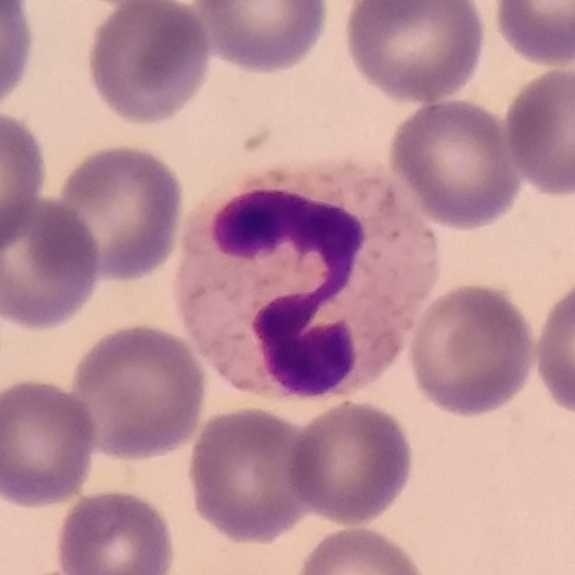Impression → neutrophilic granulocyte.
Peripheral blood film · phone-camera image taken through the microscope ocular · Giemsa-stained.